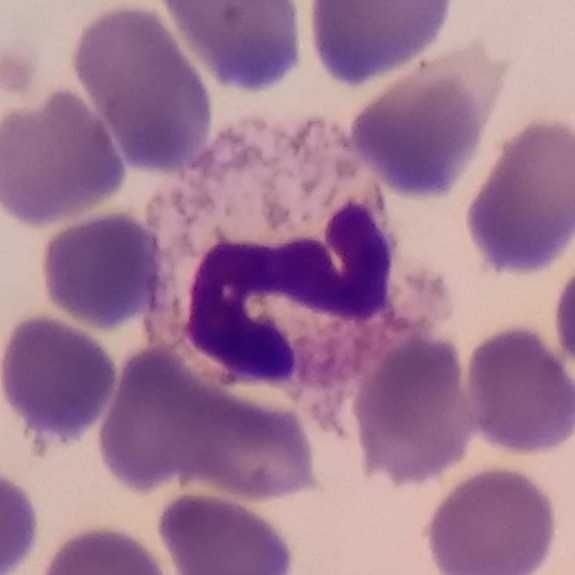 Image: Smartphone photomicrograph. Peripheral blood smear. A neutrophil.